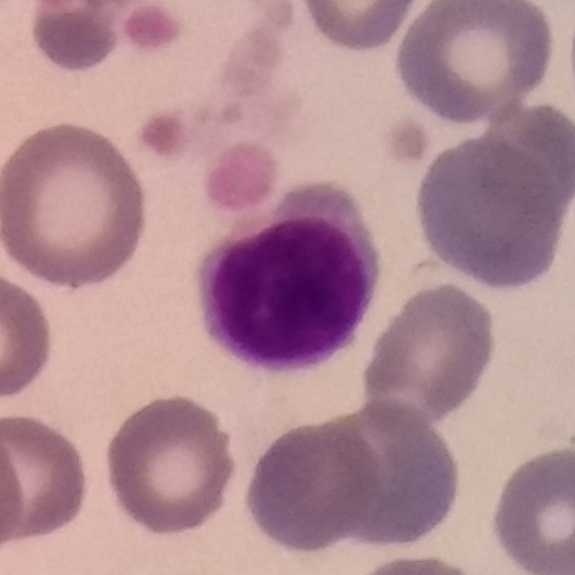
The cell is lymphocyte.

Preparation: Single white blood cell cropped from the smear photograph; peripheral blood smear; imaged at 100×.